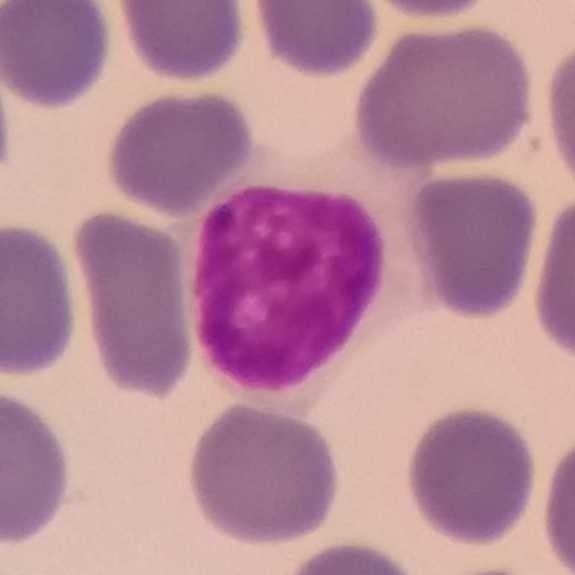

Single cell identified as a lymphocyte.

Peripheral blood smear.